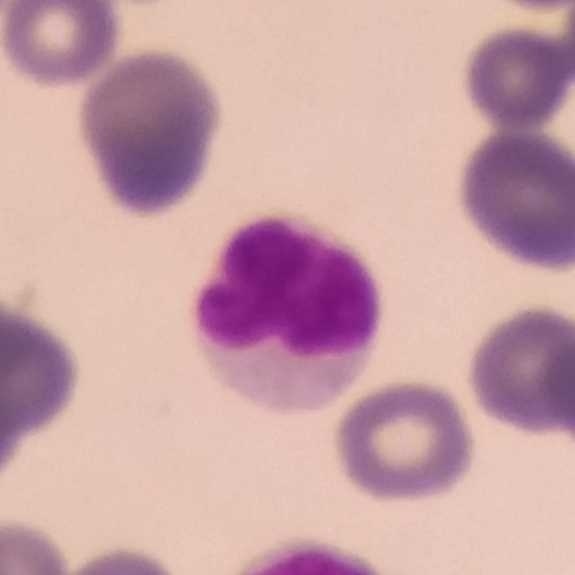

The classification is lymphocyte.